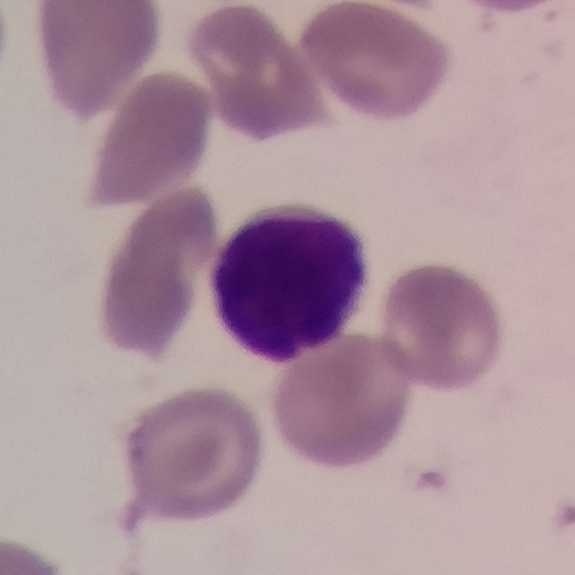 Q: Identify the cell.
A: This is a lymphocyte.

Context: Peripheral blood smear. Giemsa-stained.